Peripheral blood smear.
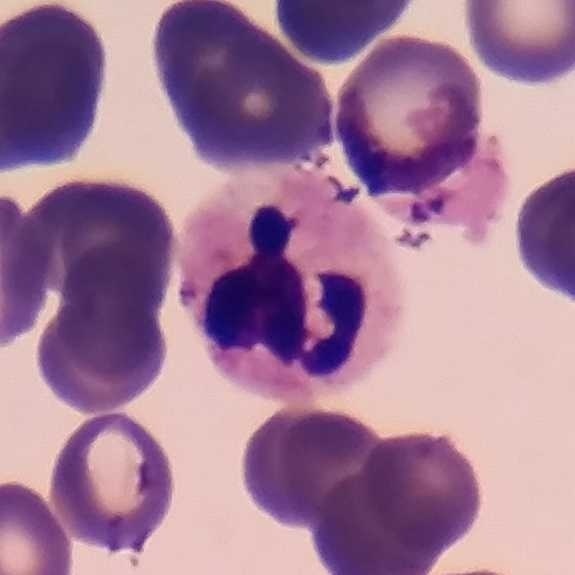

Cell: neutrophilic granulocyte.